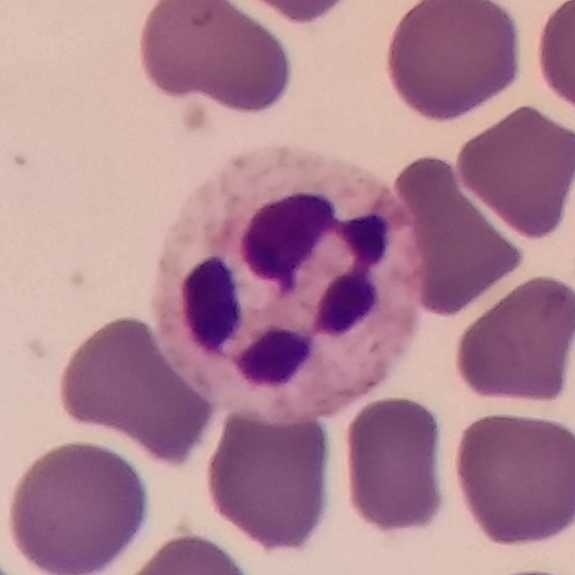

Q: Which type of white blood cell is this?
A: A neutrophil granulocyte.
Acquisition: Peripheral blood film.